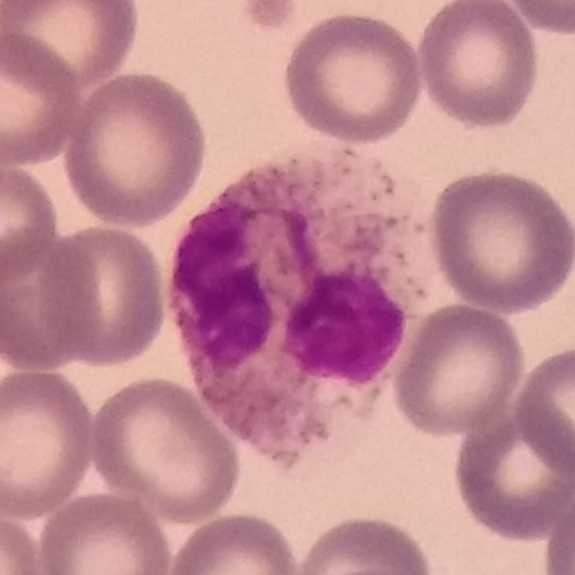

Context: Giemsa-stained. Peripheral blood film. Impression — neutrophil.